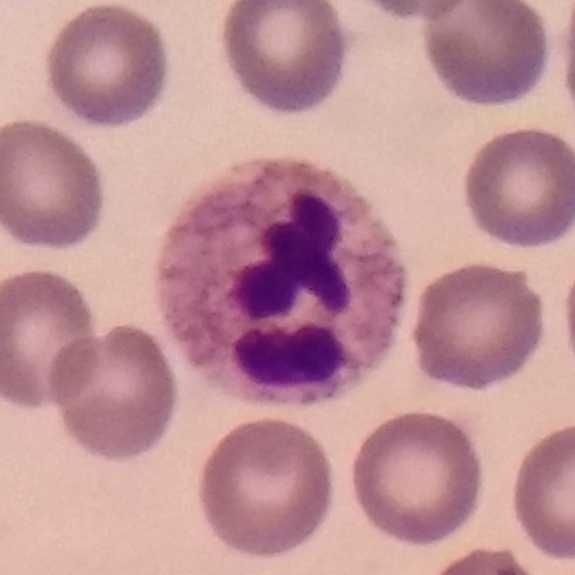
Identified as a neutrophil granulocyte.
Context: Smartphone camera mounted on the microscope eyepiece · peripheral blood film.